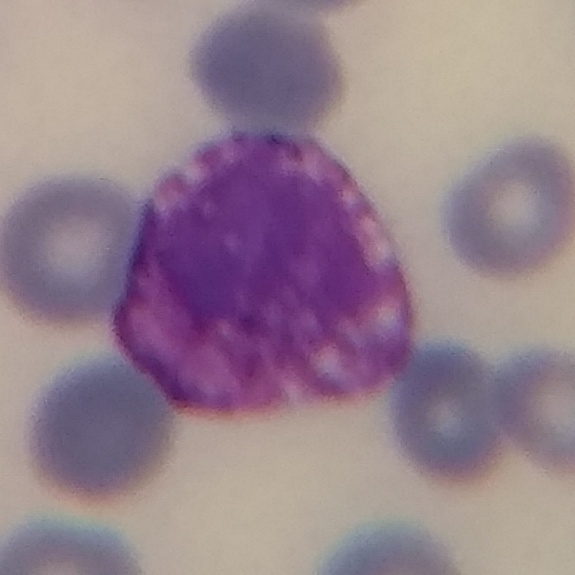

This is a basophil.
Smartphone camera mounted on the microscope eyepiece. 575×575. Peripheral blood smear.